Peripheral blood smear:
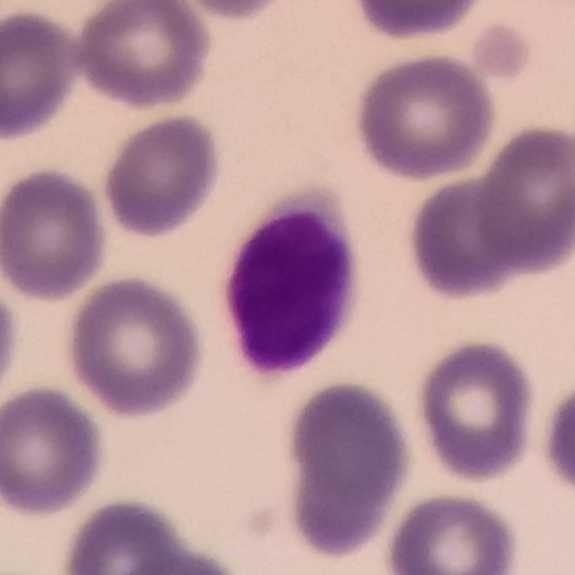Morphology consistent with a lymphocyte.